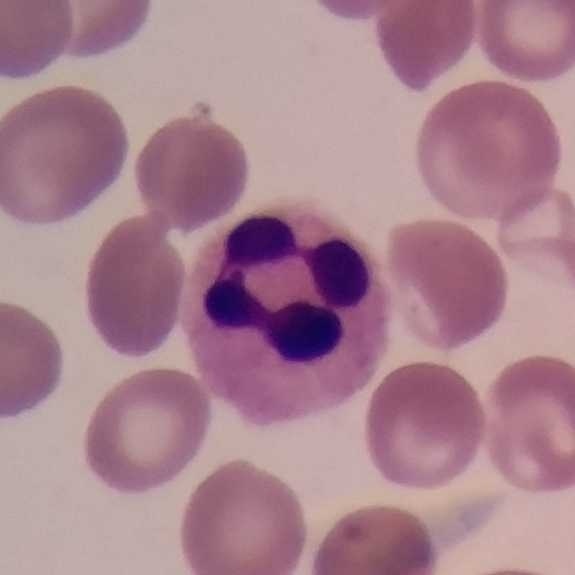
Context: Peripheral blood smear.
Cell — neutrophil granulocyte.